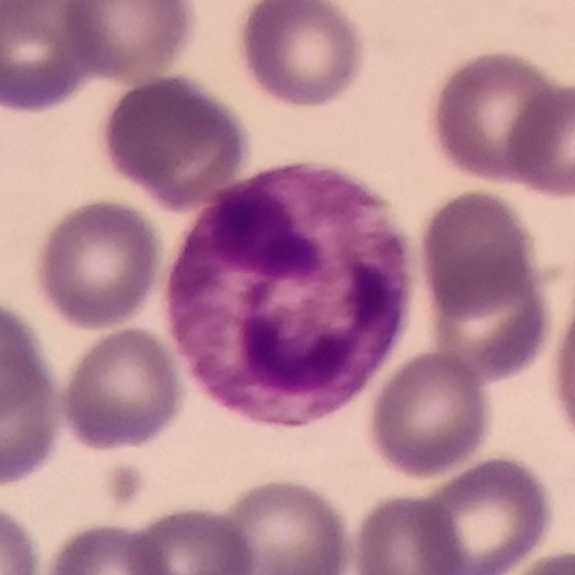

The cell shown is a neutrophil. Peripheral blood smear.